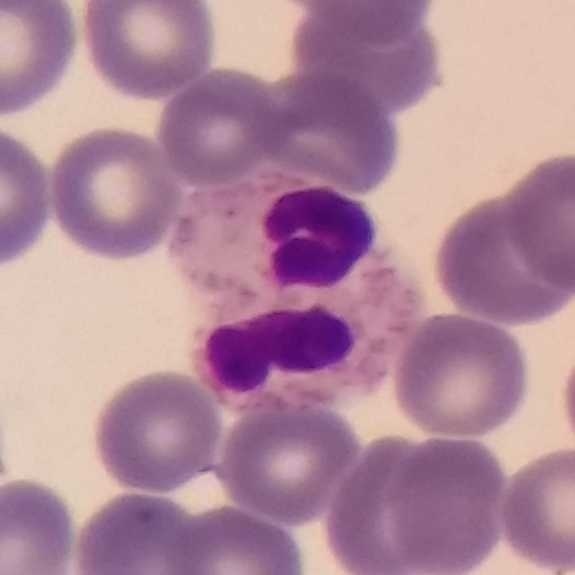
Image: Magnification 100× · peripheral blood film · smartphone camera mounted on the microscope eyepiece. Cell type — neutrophil granulocyte.